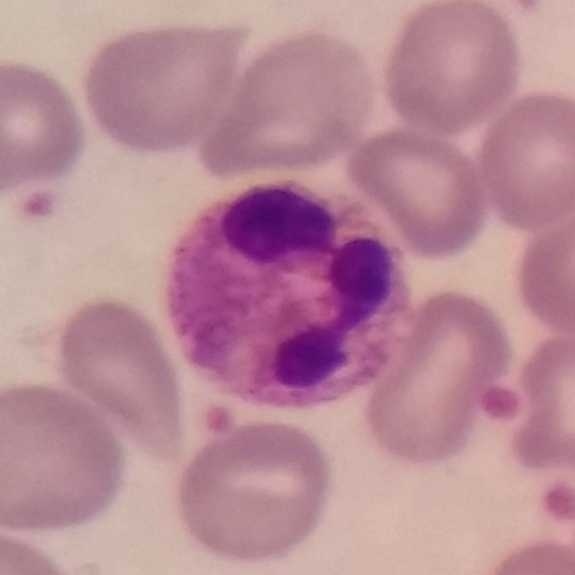
Q: What type of cell is this?
A: Neutrophil.

Peripheral blood film.